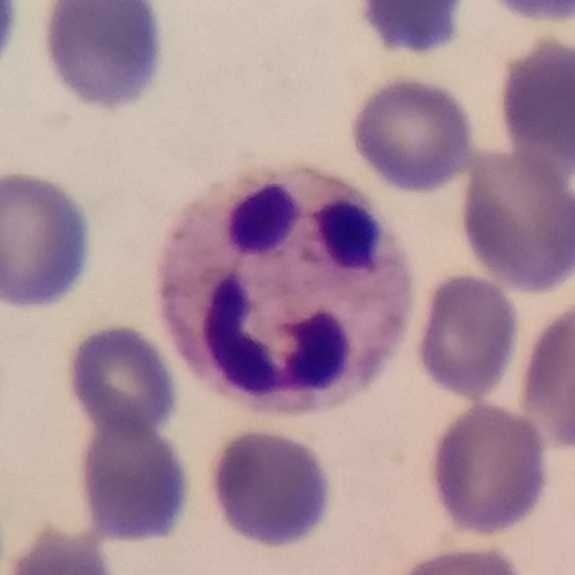Magnification 100×. Specimen: peripheral blood smear.
Cell type: neutrophilic granulocyte.